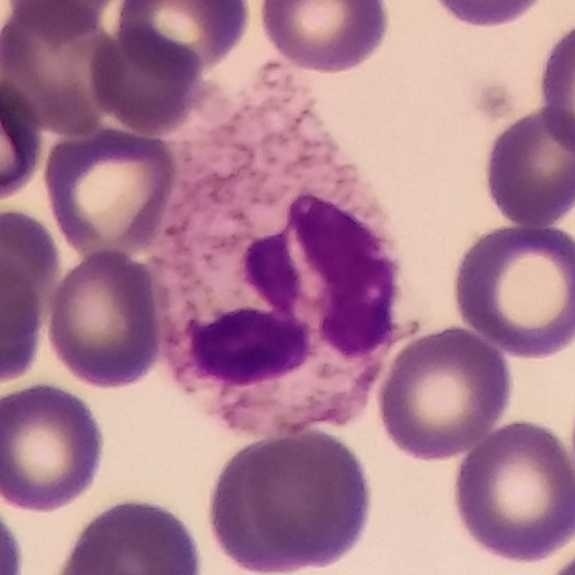 This is a neutrophilic granulocyte.

Preparation: Smartphone camera mounted on the microscope eyepiece; peripheral blood smear.